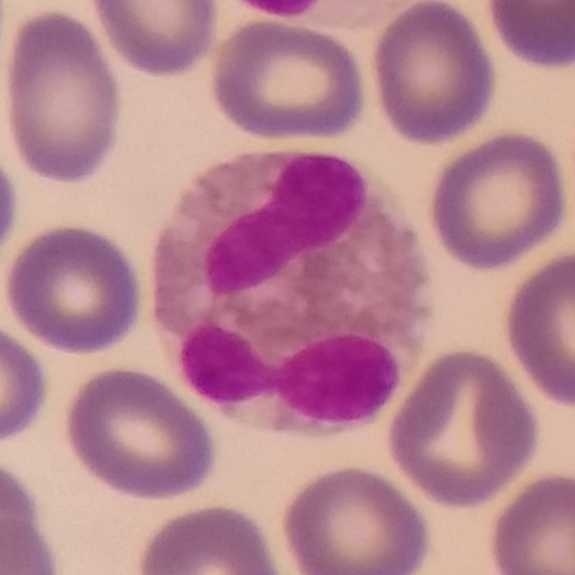Image: 100× magnification. Giemsa-stained.

Specimen: peripheral blood film.
White blood cell type: eosinophilic granulocyte.